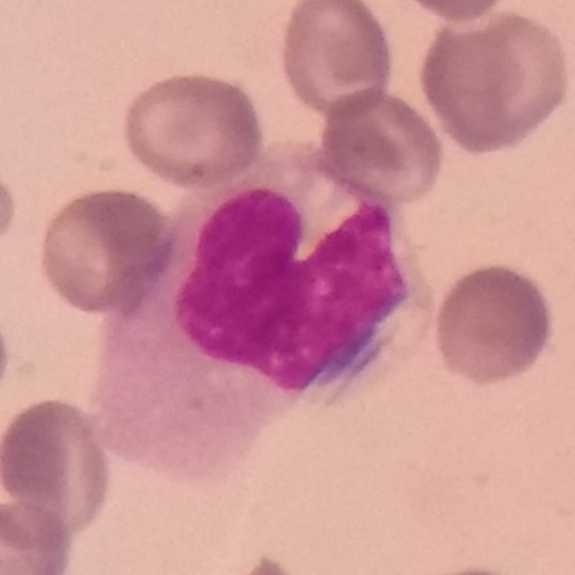
Morphology → monocyte. Peripheral blood film.